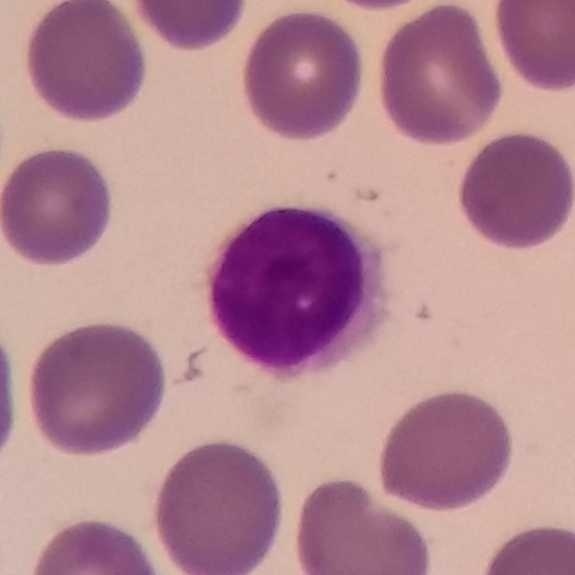

Image: Peripheral blood smear.

Q: What cell is this?
A: Lymphocyte.